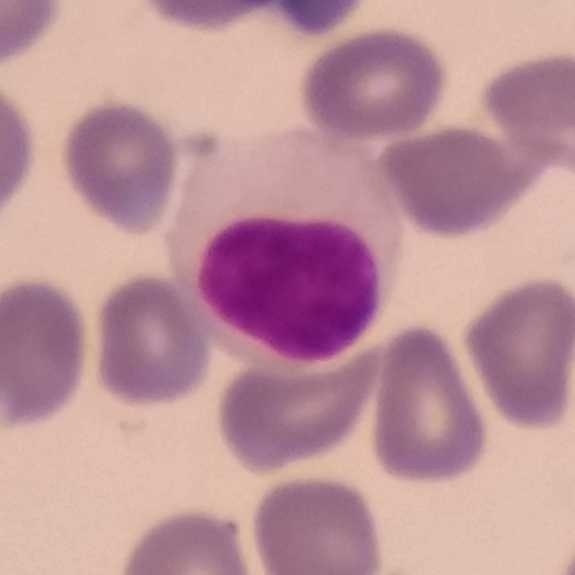

Preparation: Stained with Giemsa · peripheral blood film.
The morphological class is lymphocyte.